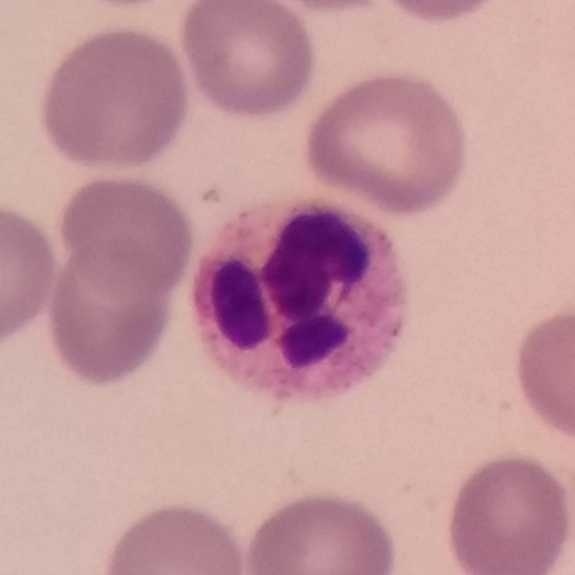

Image: Peripheral blood smear. Single-cell field.

Q: Which type of white blood cell is this?
A: This is a neutrophil.